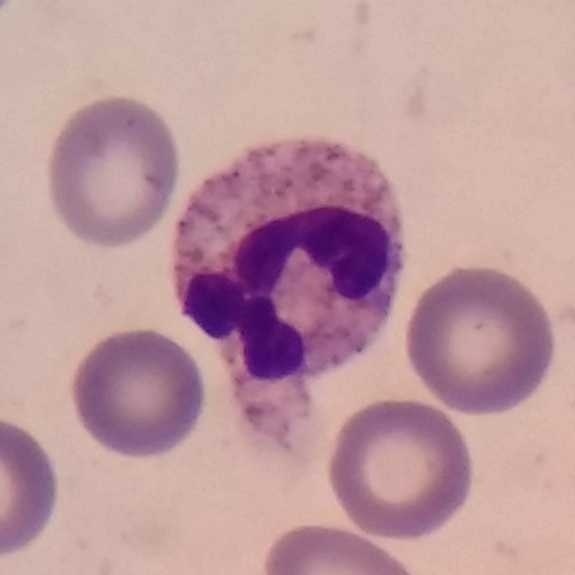A neutrophilic granulocyte on a peripheral blood smear.